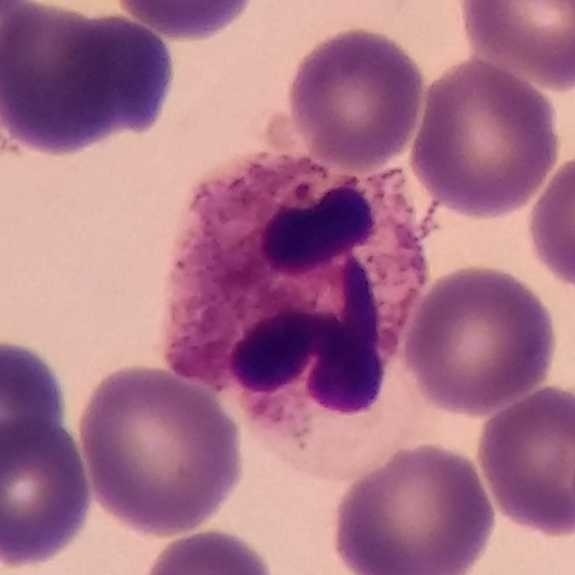

Single cell identified as a neutrophil granulocyte.
Stained with Giemsa · peripheral blood film.